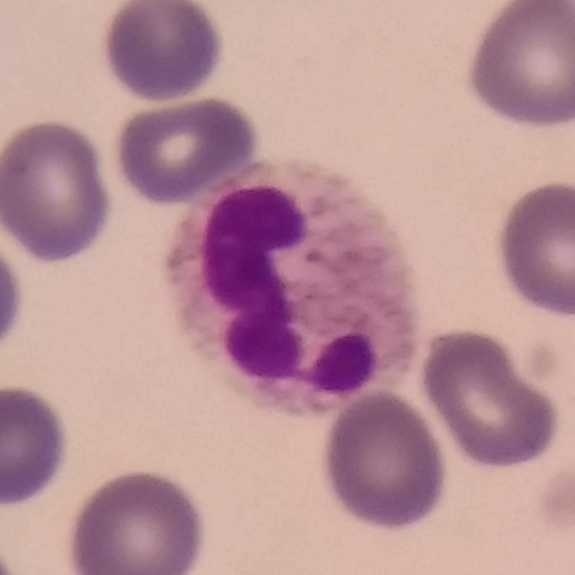

White blood cell from a peripheral blood smear: neutrophil.